Peripheral blood film.
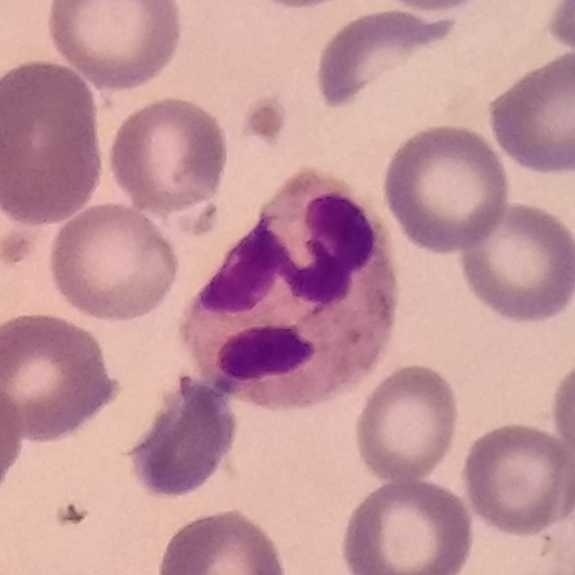 Q: Which type of white blood cell is this?
A: This is a neutrophil granulocyte.